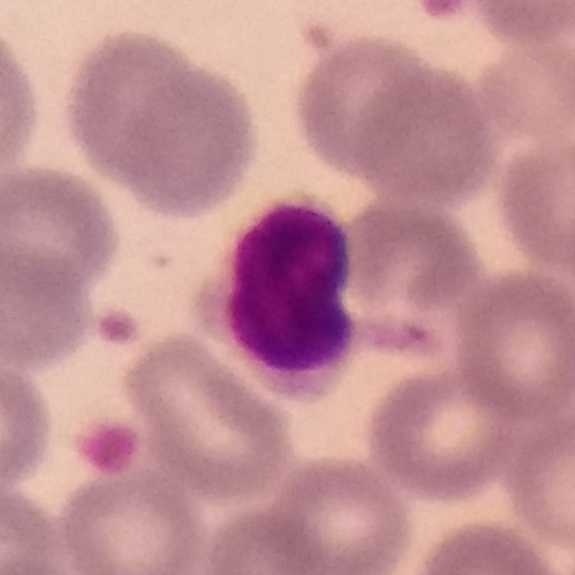 Acquisition: Peripheral blood smear. Morphology consistent with a lymphocyte.